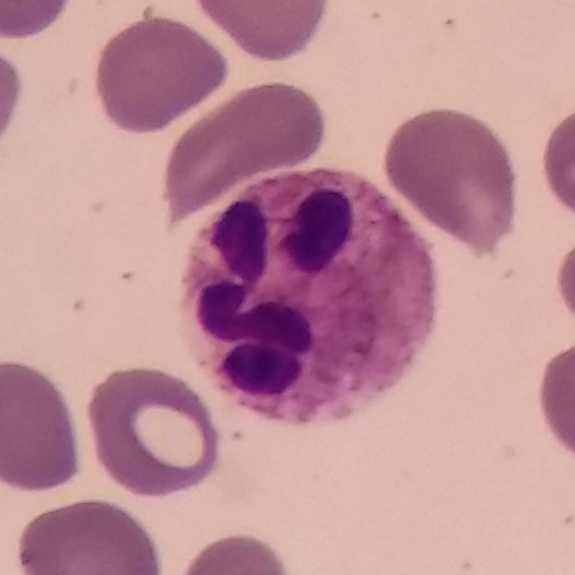

White blood cell type — neutrophilic granulocyte.
Peripheral blood smear.